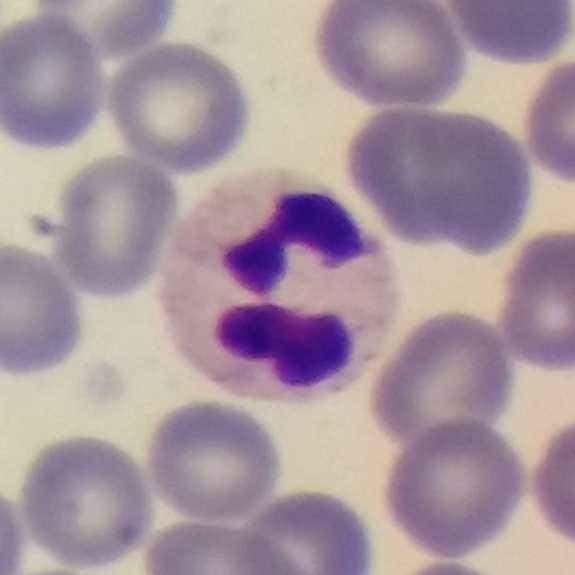
Specimen: peripheral blood smear.
Classification: neutrophil granulocyte.
Lineage: myeloid.